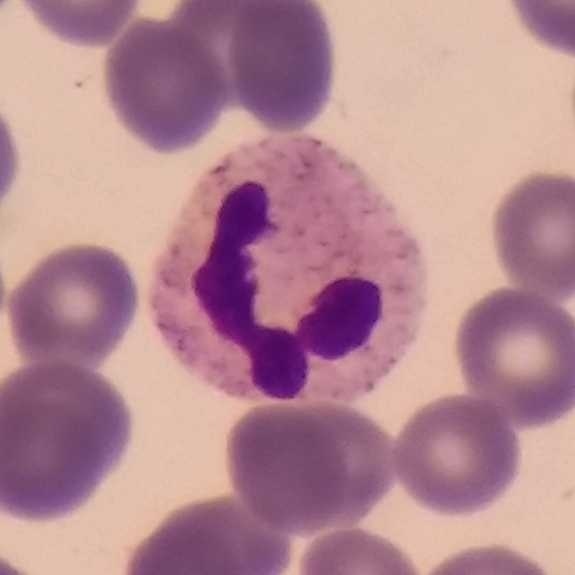The white blood cell in this image is a neutrophil.